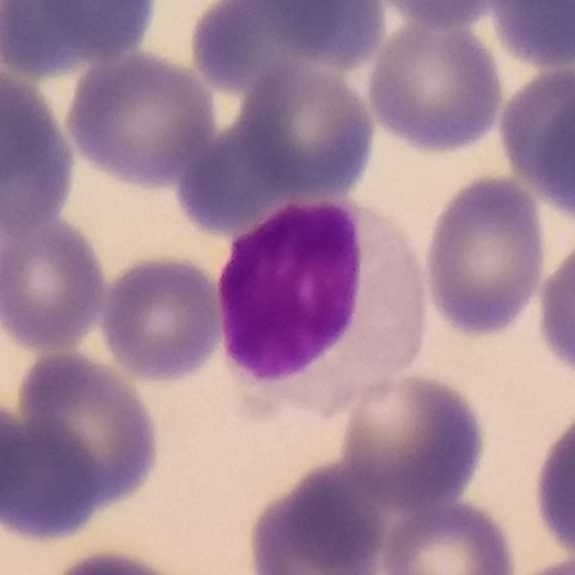 Q: What is this?
A: This is a lymphocyte.
Image: Imaged at 100×. Image size 575×575. Peripheral blood smear.